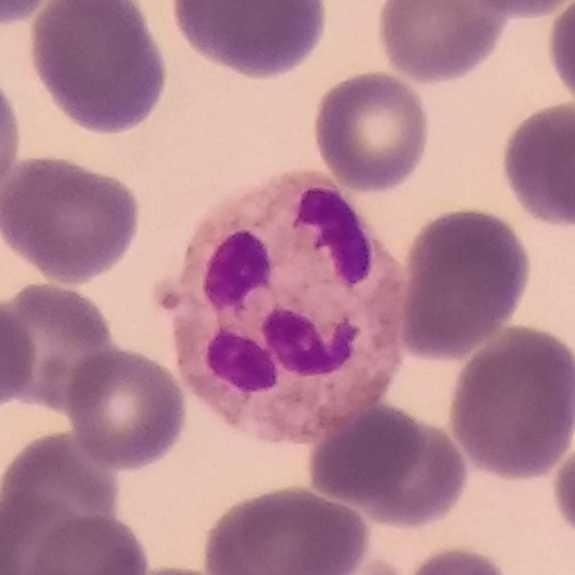

Morphological class = neutrophil granulocyte.

Peripheral blood film; single white blood cell cropped from the smear photograph; phone-camera image taken through the microscope ocular.